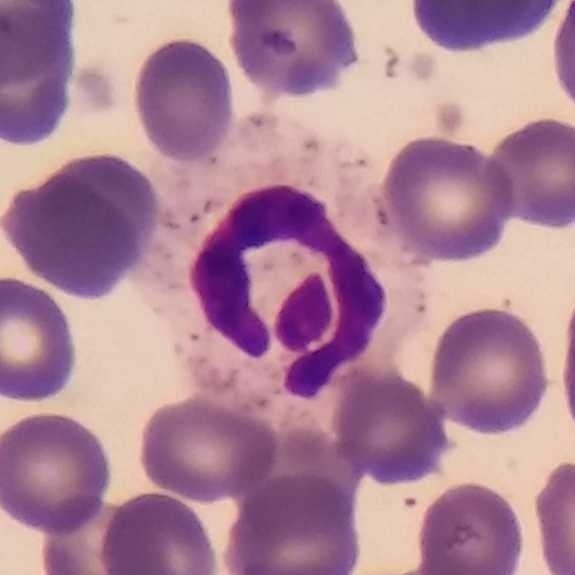Peripheral blood smear. Single-cell crop.

White blood cell type: neutrophil.